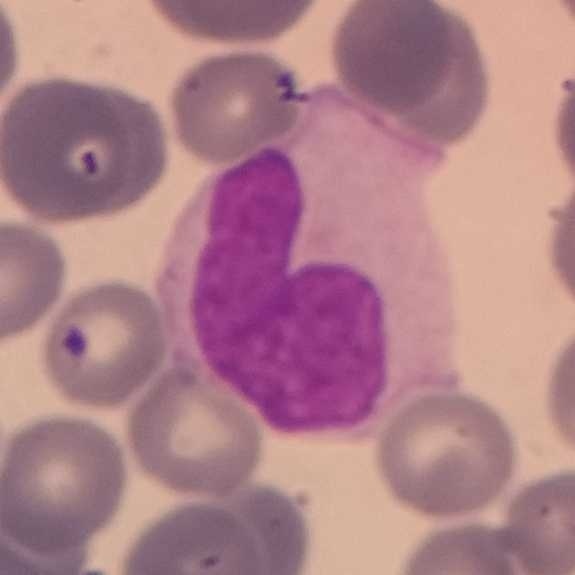
Monocyte. Acquisition: Photographed through a light microscope with a smartphone camera; 575 by 575 pixels; peripheral blood smear.